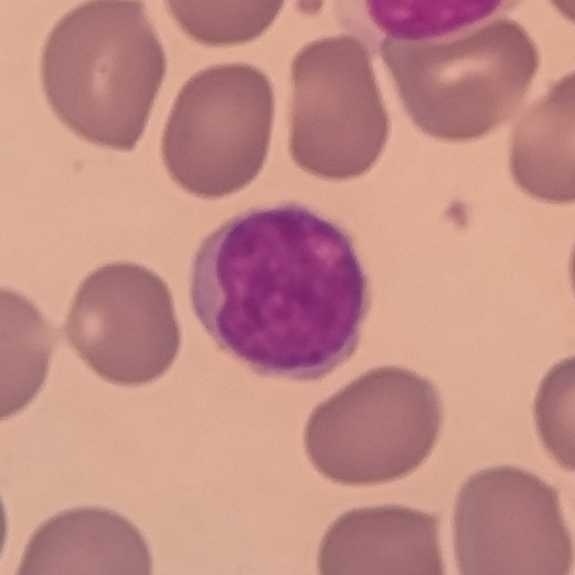
Magnification 100× · smartphone camera mounted on the microscope eyepiece.

Specimen: peripheral blood film.
Cell type: lymphocyte.